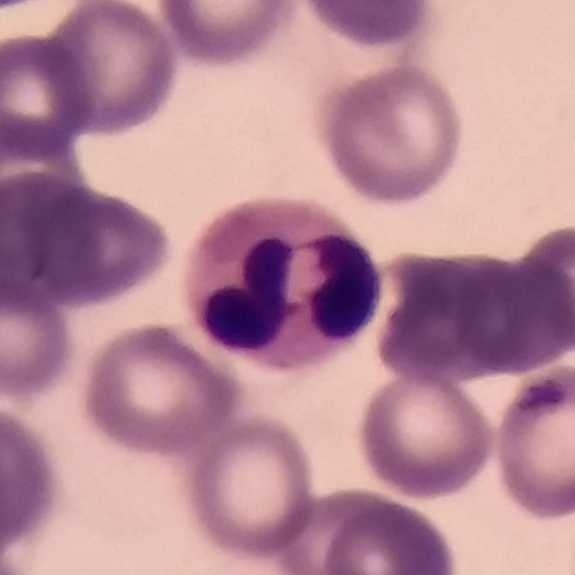
Context: Magnification 100×.
Specimen: peripheral blood smear.
Cell: neutrophilic granulocyte.
Lineage: myeloid.